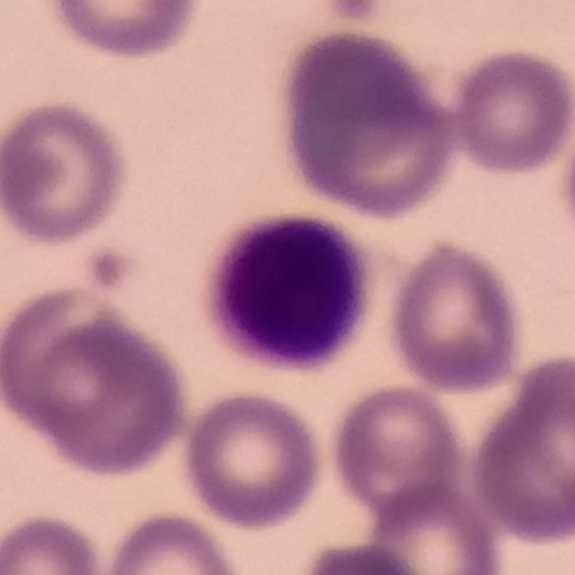
Preparation: Peripheral blood smear. {"cell_type": "lymphocyte"}